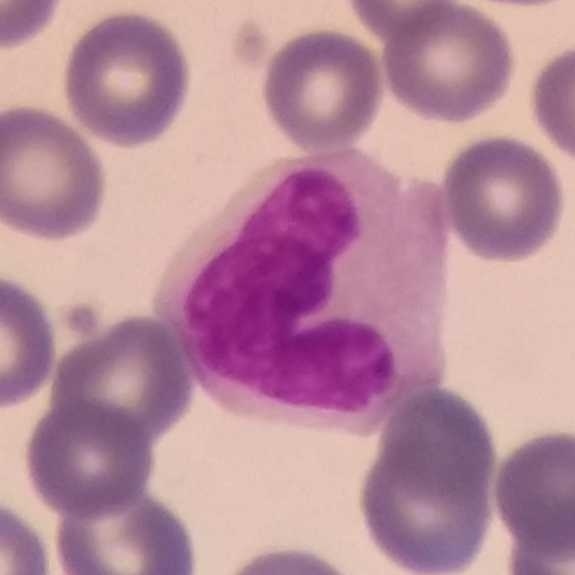 Morphology — monocyte.

Preparation: Imaged at 100×. Peripheral blood film.